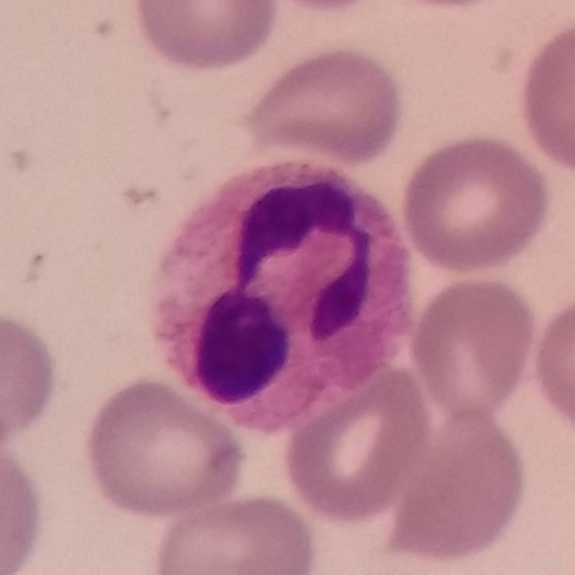
Peripheral blood film. Stained with Giemsa.

Q: What type of cell is this?
A: A neutrophil granulocyte.